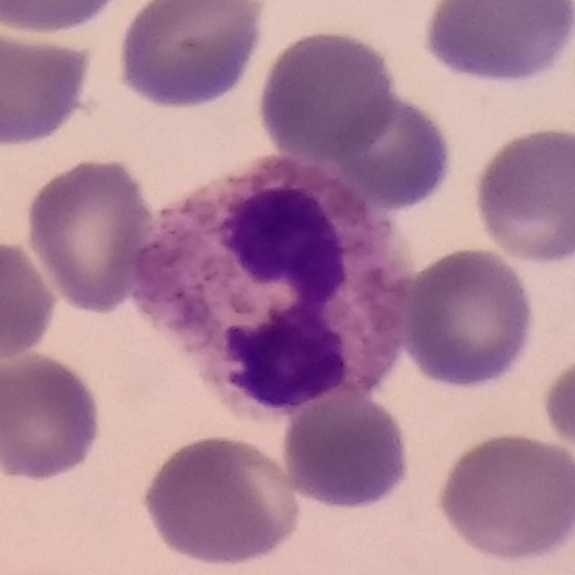 Single-cell crop from a peripheral blood smear: neutrophil granulocyte.